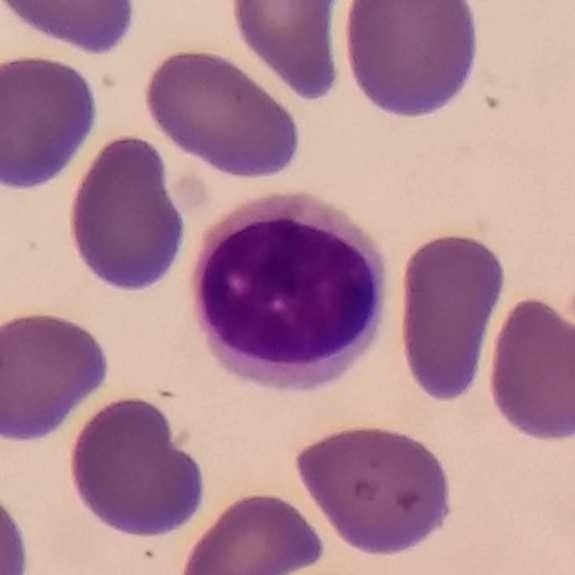
Identified as a lymphocyte. Image: Peripheral blood film; 575×575 px; phone-camera image taken through the microscope ocular.